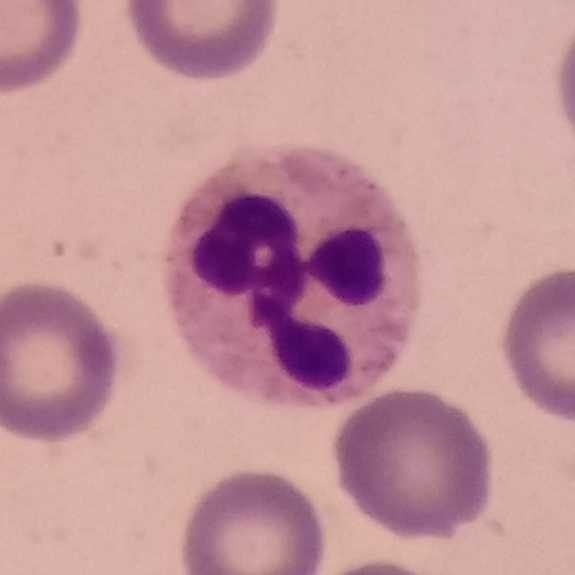
Peripheral blood film.

White blood cell type = neutrophil granulocyte.